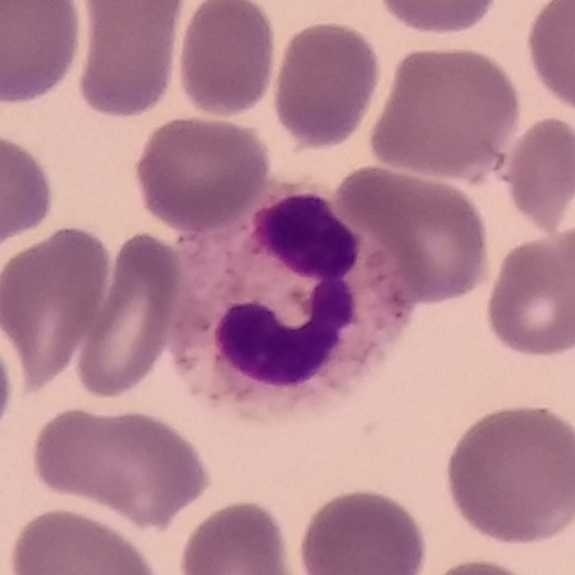The white blood cell in this image is a neutrophil.

Preparation: Peripheral blood smear. Giemsa stain.